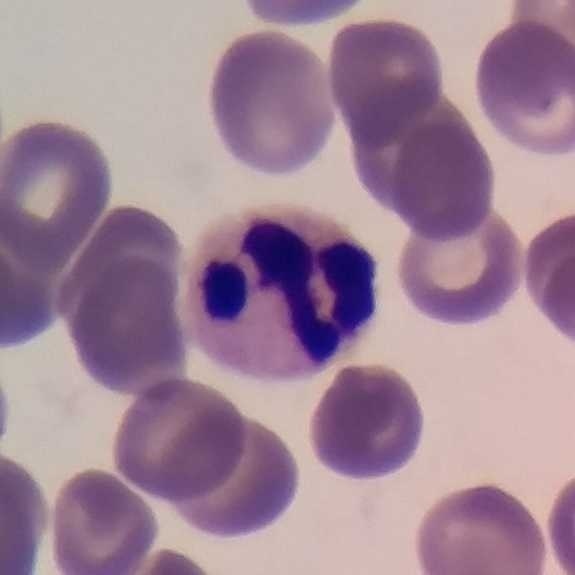
Q: Which cell type is shown here?
A: A neutrophil granulocyte. Preparation: Peripheral blood film.